Smartphone photomicrograph · 575×575 px · peripheral blood film: 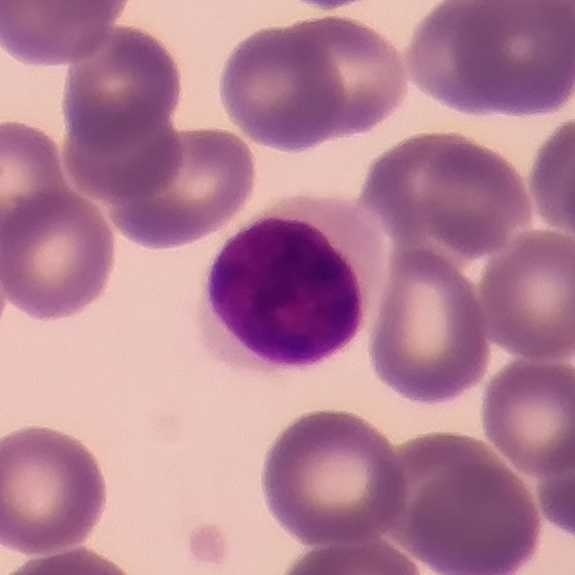
Cell — lymphocyte.